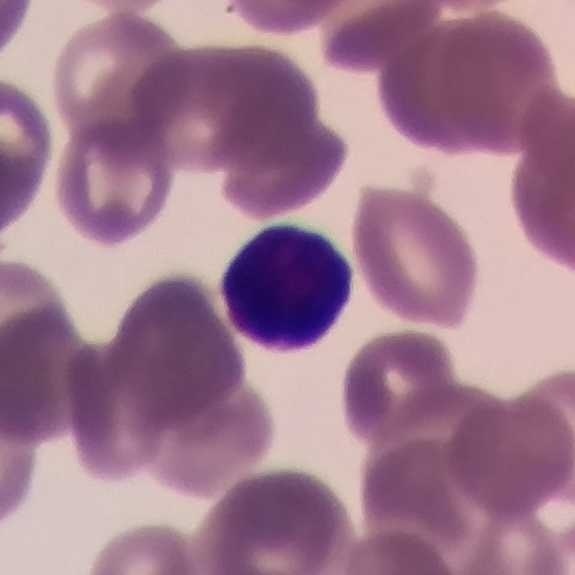
The white blood cell type is lymphocyte.

Context: Peripheral blood smear.